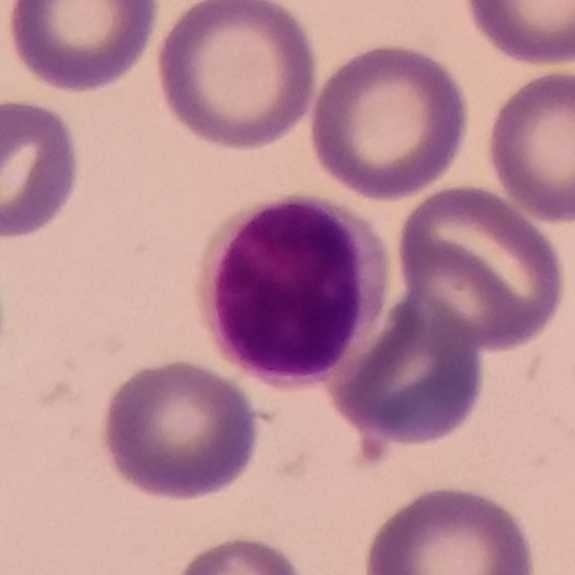 From a peripheral blood smear: a lymphocyte.